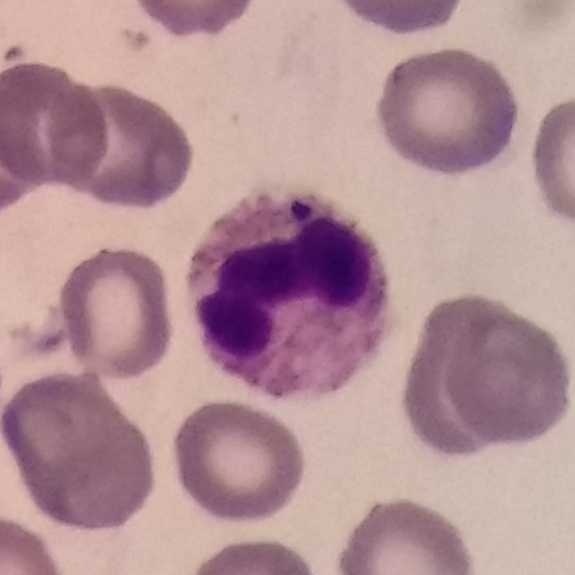

Preparation: Peripheral blood film. Single-cell field.

Cell type: neutrophil granulocyte.